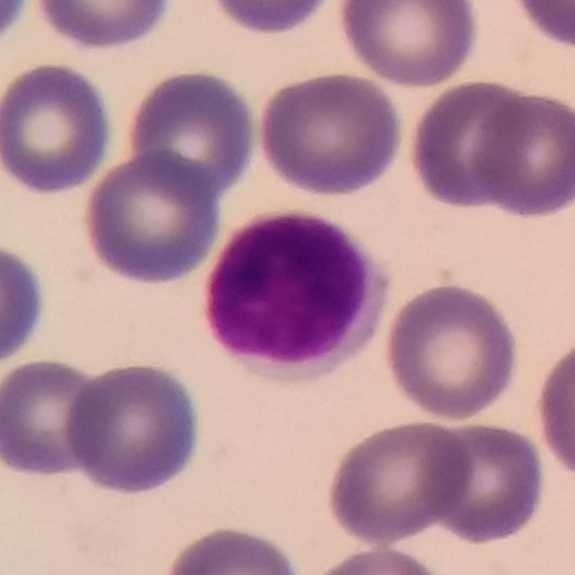

Morphology consistent with a lymphocyte.

Context: Peripheral blood film.